Peripheral blood smear:
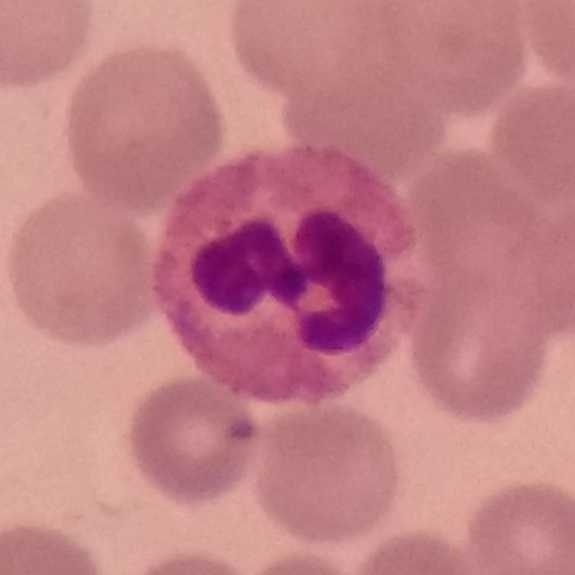
Single cell identified as a neutrophilic granulocyte.